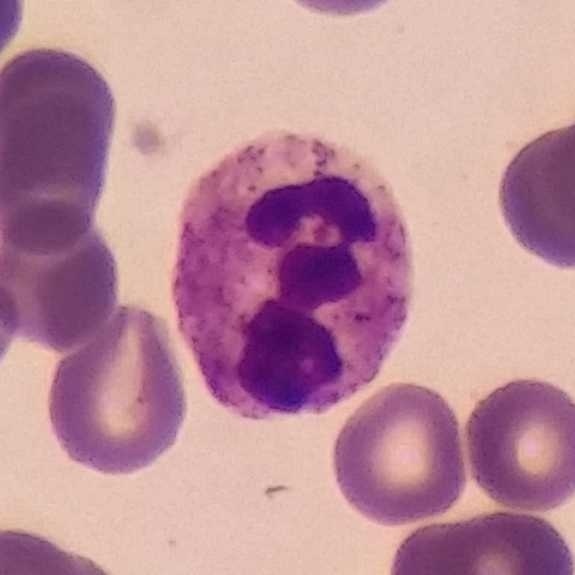Smartphone camera mounted on the microscope eyepiece · peripheral blood smear · single-cell field.
This is a neutrophilic granulocyte.